Giemsa stain; peripheral blood film; imaged at 100× — 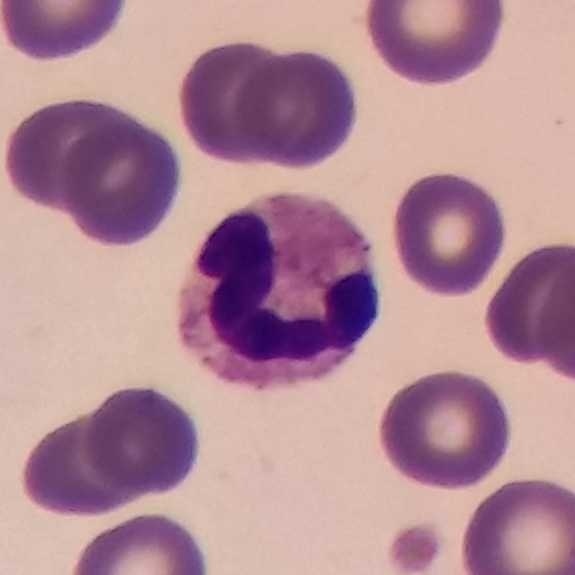 The morphological class is neutrophilic granulocyte.